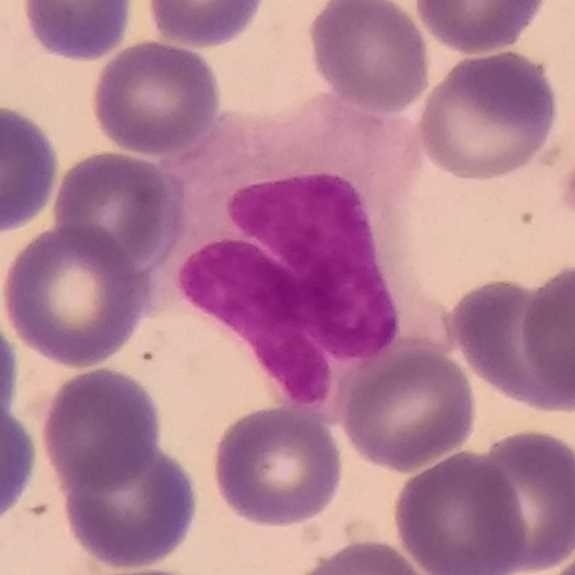Context: Peripheral blood film.
Single cell identified as a monocyte.